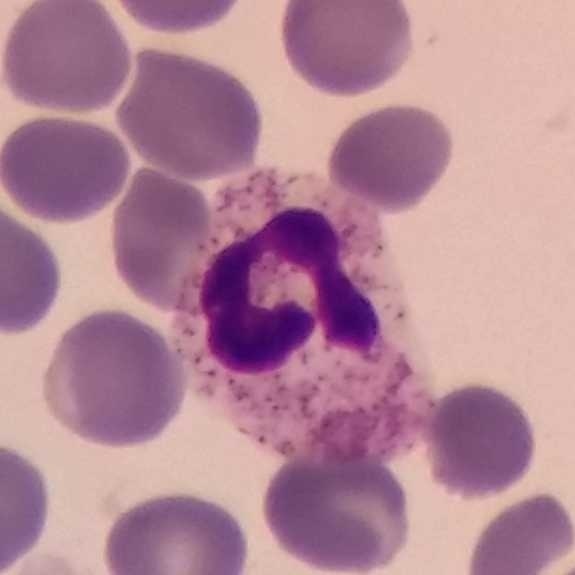

Acquisition: Peripheral blood smear. 575×575 px. Imaged at 100×.
Morphology consistent with a neutrophil granulocyte.